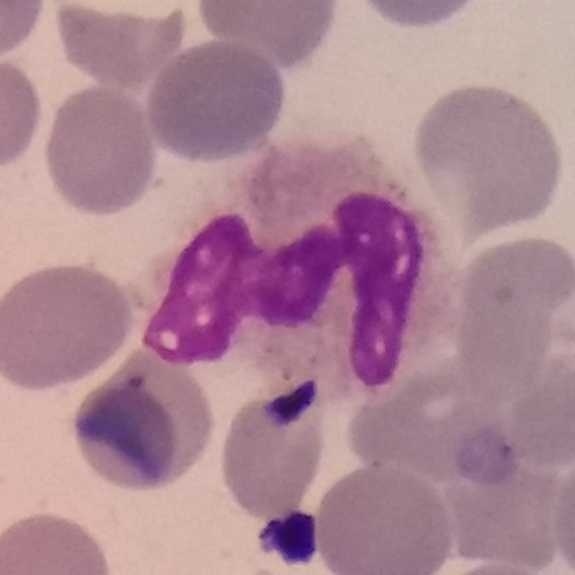 Single cell identified as a neutrophilic granulocyte.
Preparation: Peripheral blood film.